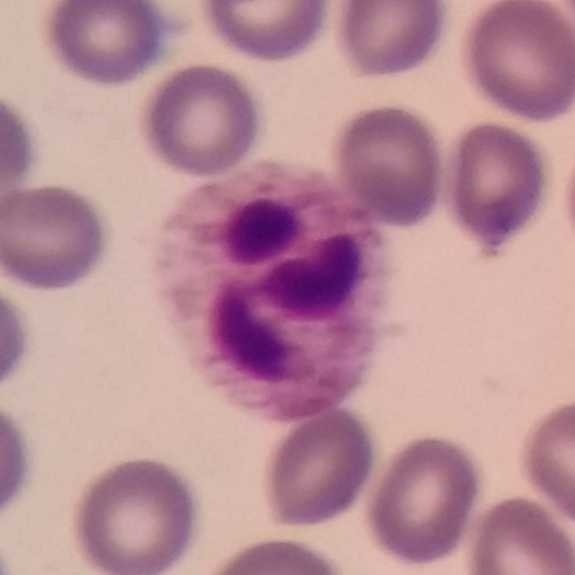
Specimen: peripheral blood smear.
White blood cell type: neutrophilic granulocyte.
Image: Phone-camera image taken through the microscope ocular.